Peripheral blood smear
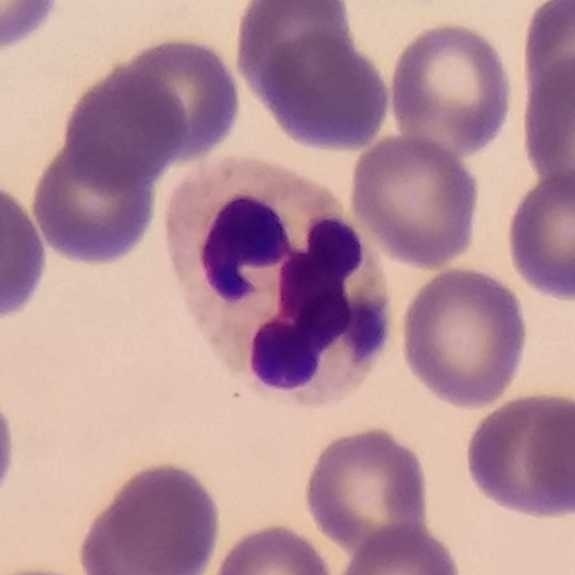
A neutrophil.